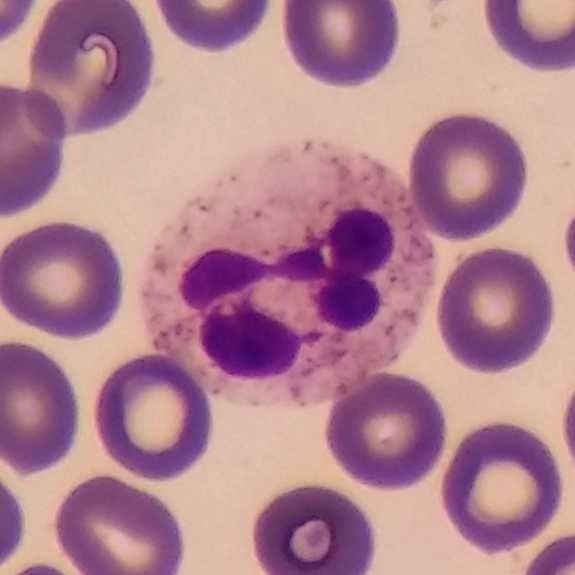
Specimen: peripheral blood film.
Cell type: neutrophil.
Lineage: myeloid.

Image: 100× magnification · image size 575×575.